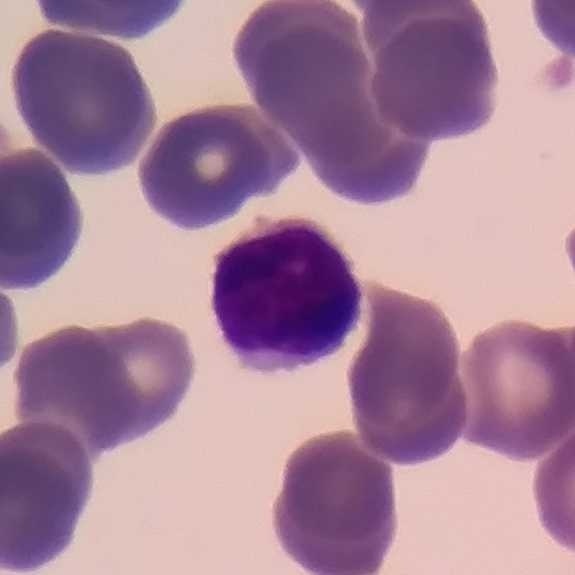 Acquisition: Peripheral blood film.

This is a lymphocyte.